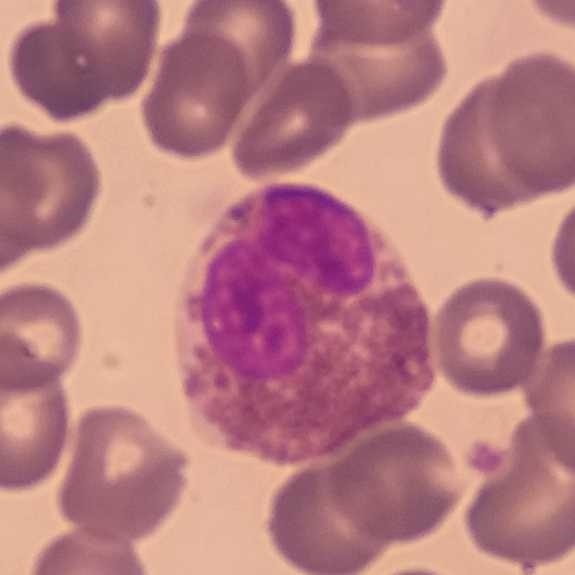From a peripheral blood smear: an eosinophil.